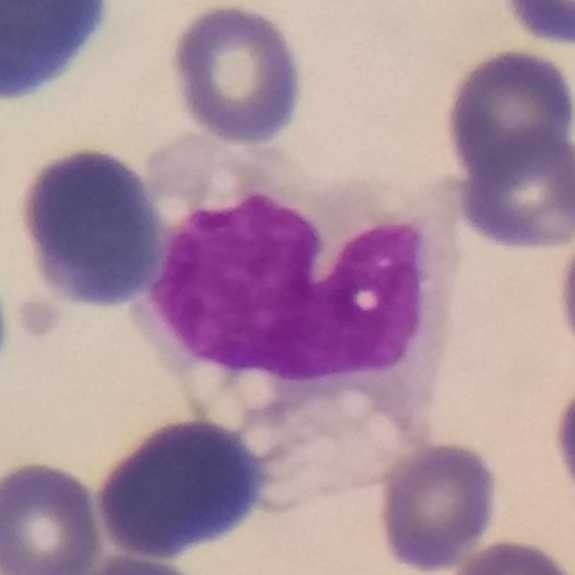Context: Peripheral blood film.
White blood cell type — monocyte.